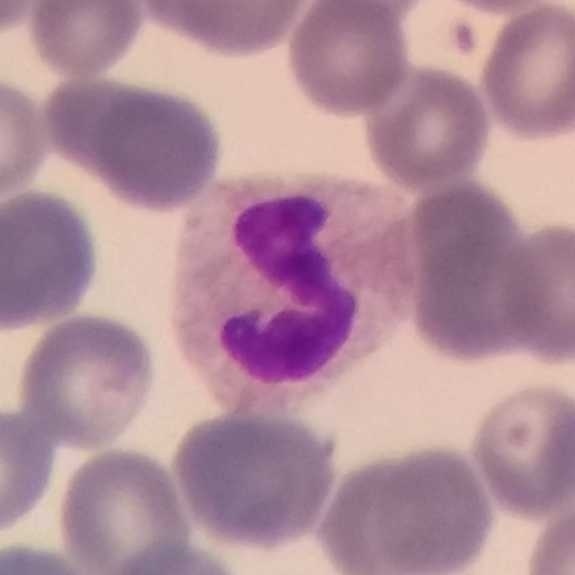Impression — neutrophil.